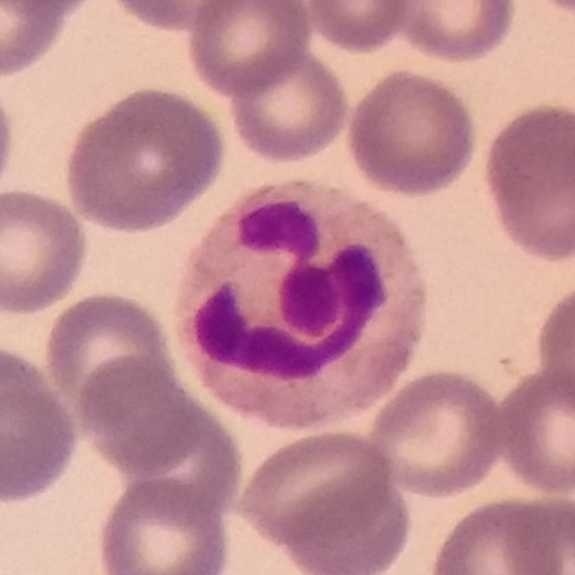Morphology — neutrophilic granulocyte.

Image: Peripheral blood film.